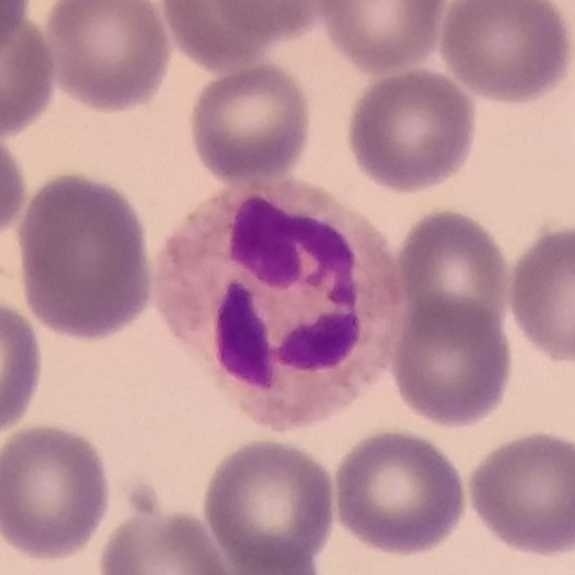

Acquisition: Peripheral blood smear · imaged at 100×. Cell — neutrophil.